Peripheral blood smear · single white blood cell cropped from the smear photograph · Giemsa stain
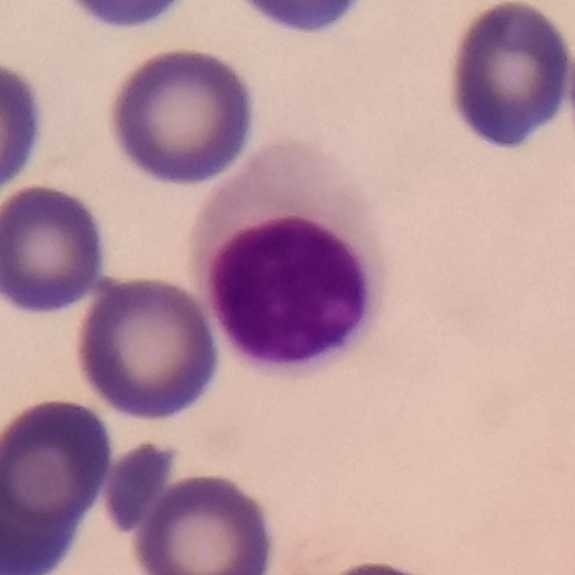
Classification: lymphocyte.